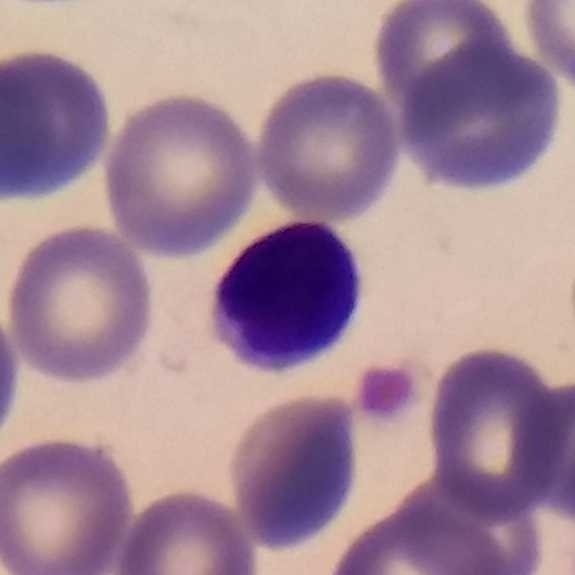
Specimen: peripheral blood smear.
Cell type: lymphocyte.
Lineage: lymphoid.